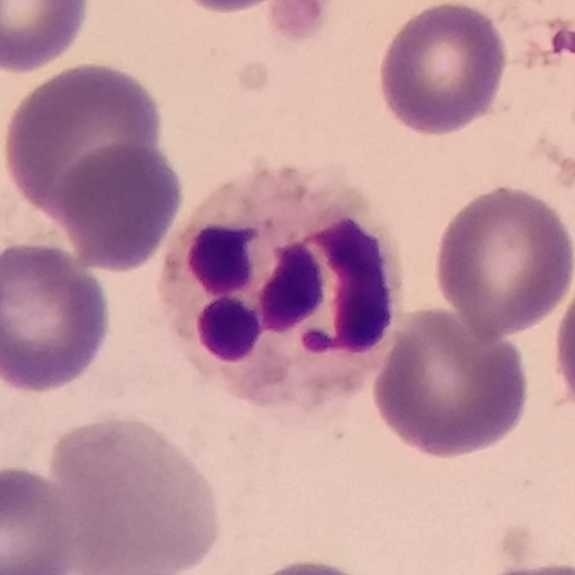Morphological class = neutrophil.